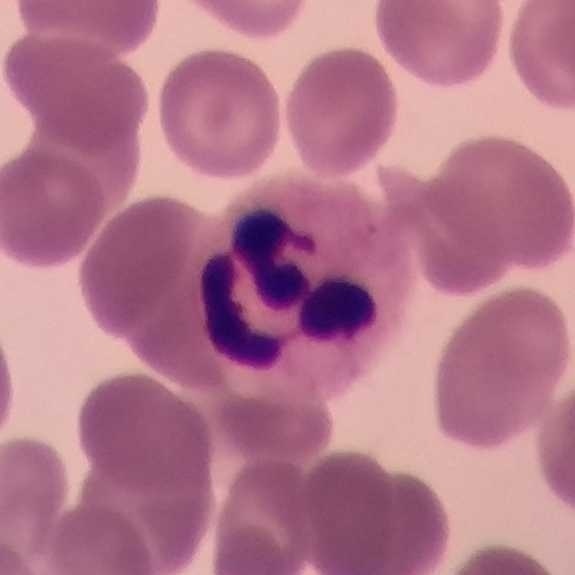 Q: What is this?
A: It is a neutrophil. Peripheral blood film; smartphone camera mounted on the microscope eyepiece; 575×575.